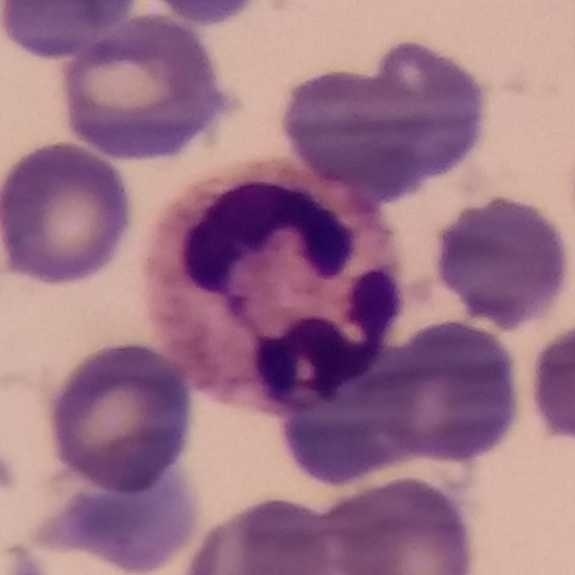Identified as a neutrophilic granulocyte.